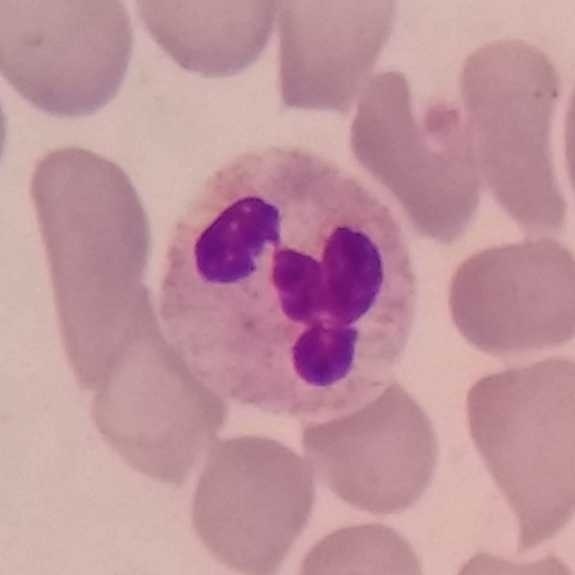
{"cell_type": "neutrophil granulocyte", "lineage": "myeloid"} Preparation: Peripheral blood smear.